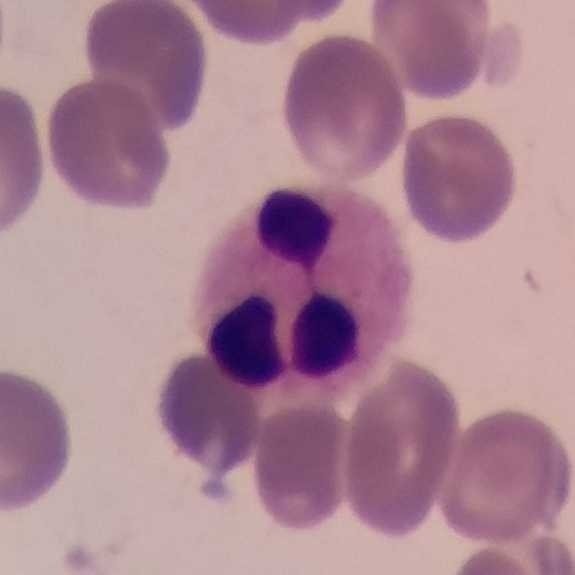The cell shown is a neutrophilic granulocyte.
Acquisition: Giemsa stain; peripheral blood smear.